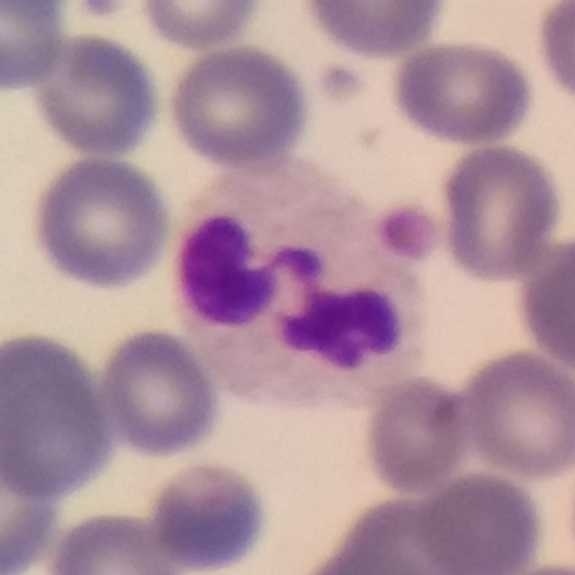

Specimen: peripheral blood film.
White blood cell type: neutrophil granulocyte.
Lineage: myeloid.
Acquisition: Photographed through a light microscope with a smartphone camera.